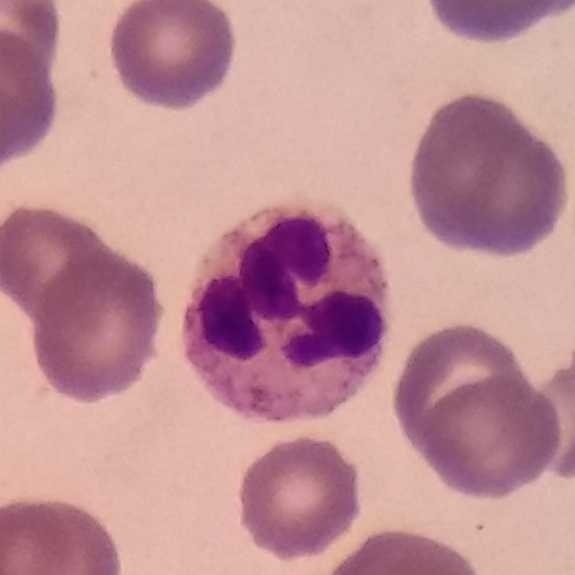 Acquisition: Peripheral blood smear.

The cell type is neutrophil granulocyte.